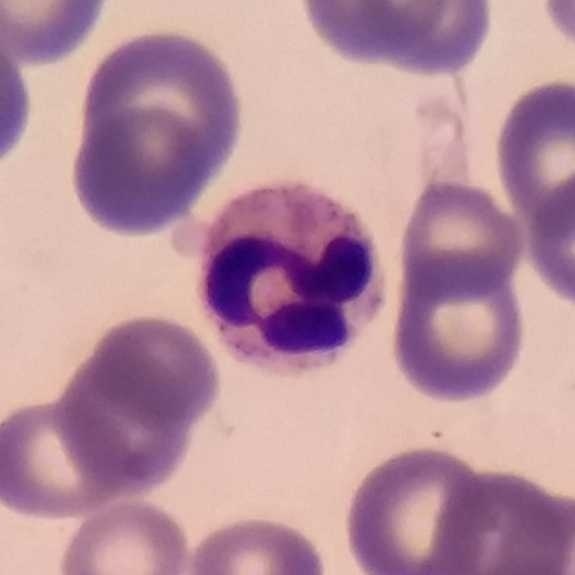
{"cell_type": "neutrophil granulocyte", "lineage": "myeloid"}